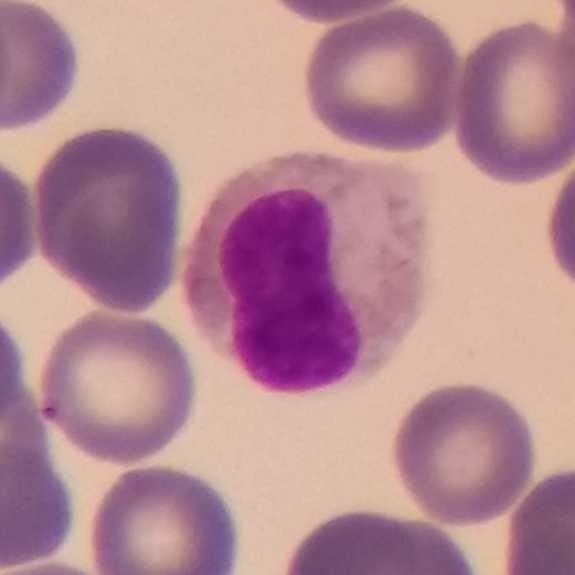Morphology → eosinophil.